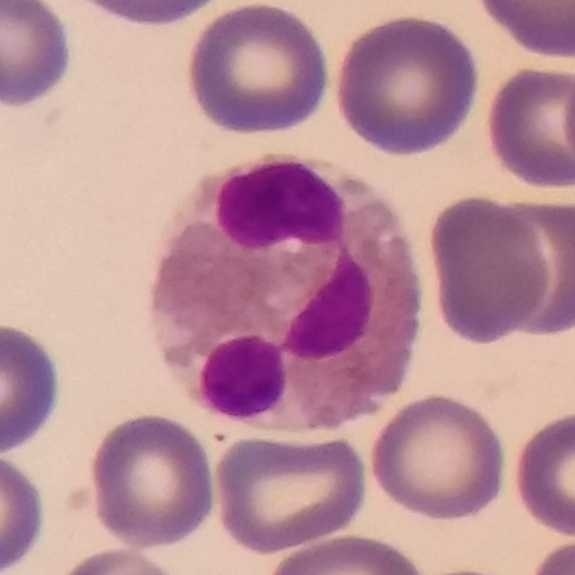

Acquisition: Peripheral blood smear.
Morphology → eosinophil.